Peripheral blood smear. Photographed through a light microscope with a smartphone camera.
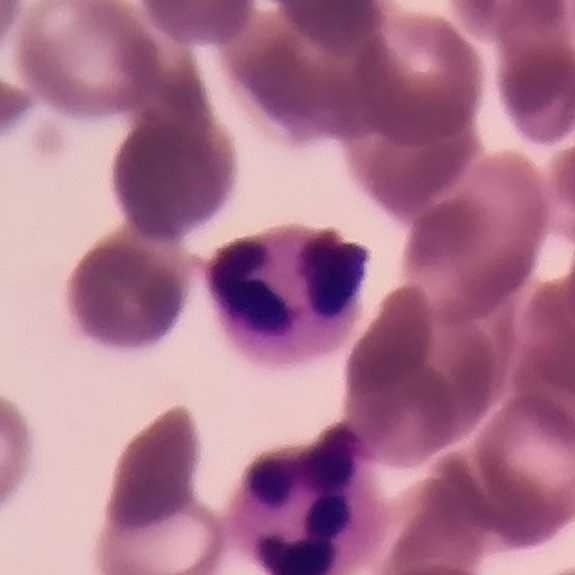Neutrophilic granulocyte.